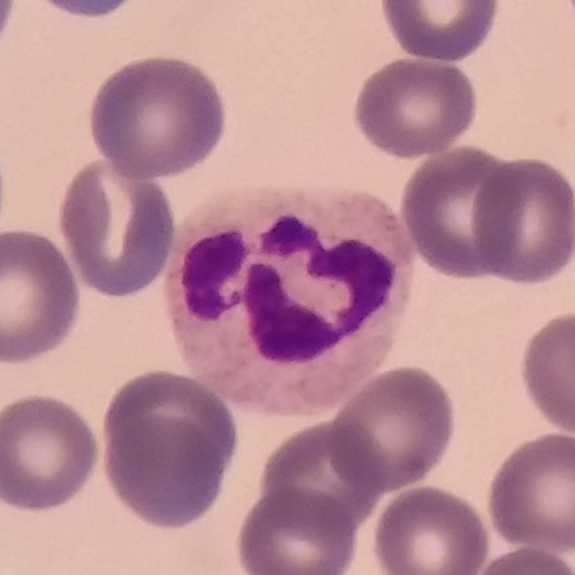 Context: Peripheral blood film.

Morphological class: neutrophilic granulocyte.